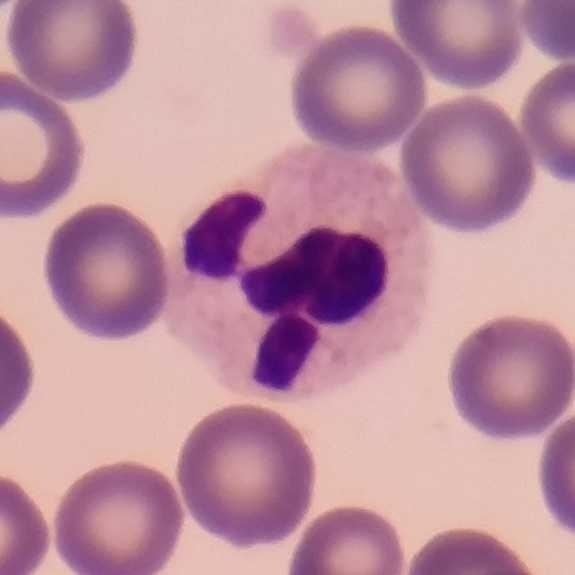
The cell shown is a neutrophil.
Image: Peripheral blood film.